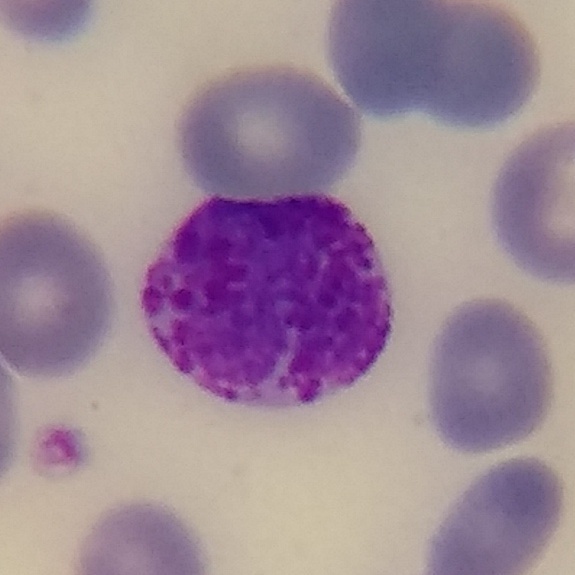

Context: Peripheral blood smear.
Q: What cell is this?
A: This is a basophilic granulocyte.